Peripheral blood smear · 100× magnification.
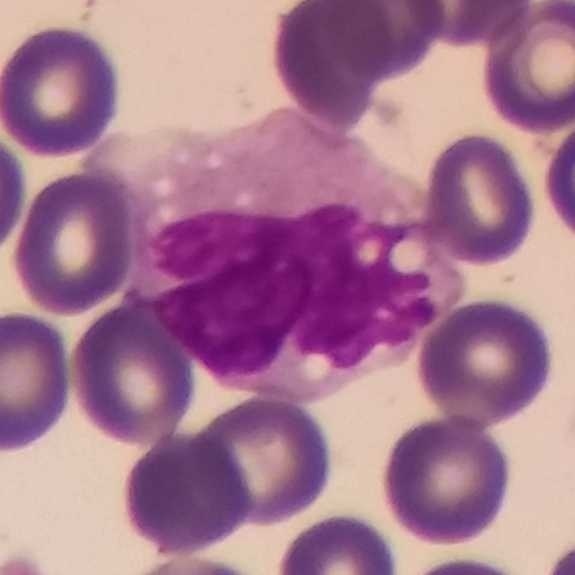 Q: Classify this leukocyte.
A: It is a monocyte.